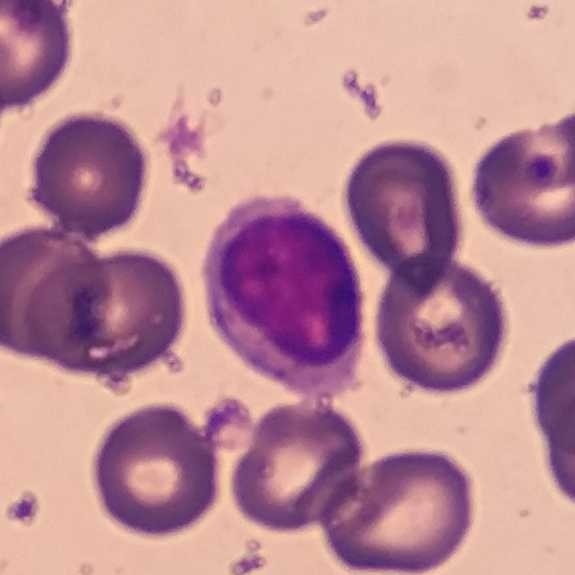Impression — lymphocyte.